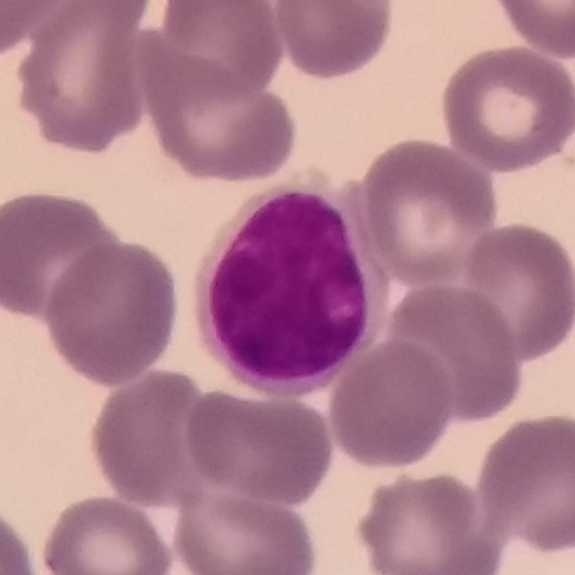 The white blood cell type is lymphocyte.